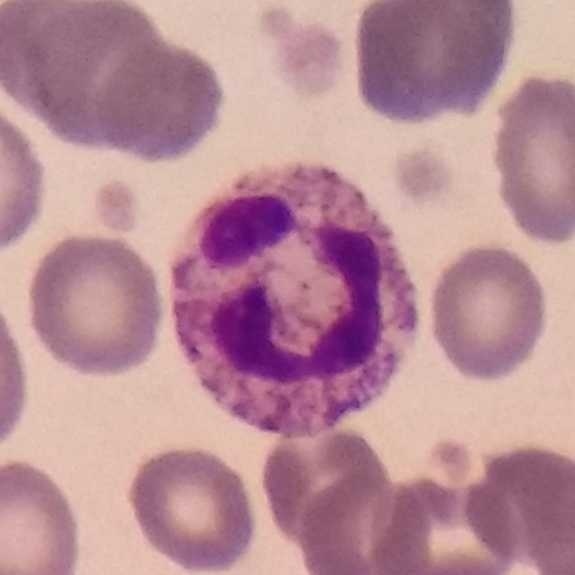
The cell shown is a neutrophilic granulocyte.